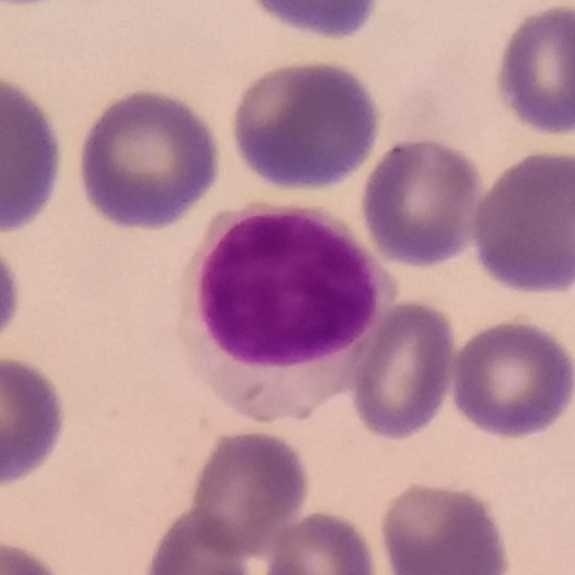
Identified as a lymphocyte.